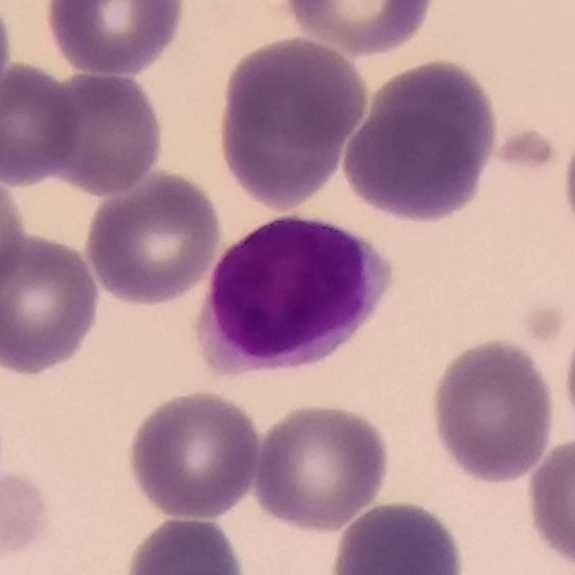

Morphology consistent with a lymphocyte.
Image: Peripheral blood film.